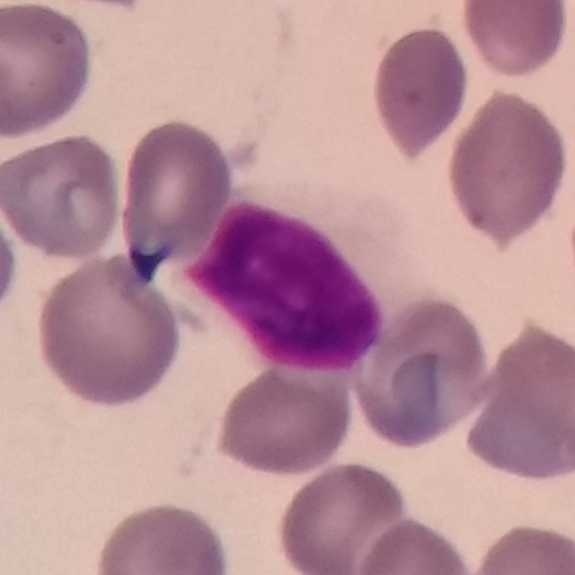
Specimen: peripheral blood smear.
Morphological class: lymphocyte.
Lineage: lymphoid.